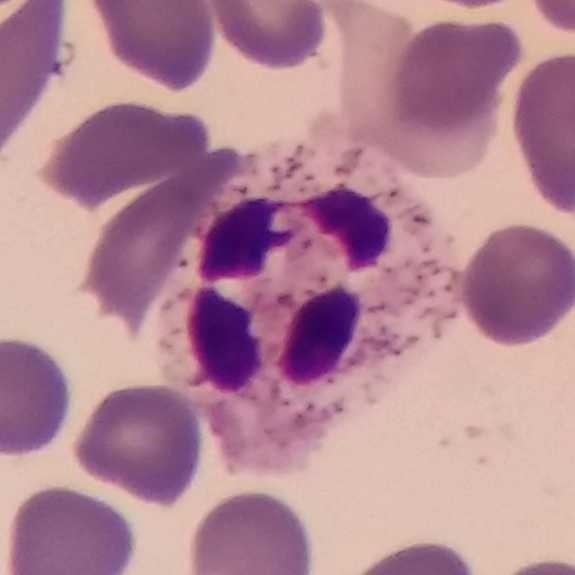 Impression → neutrophil granulocyte. Acquisition: Peripheral blood film. 575×575.